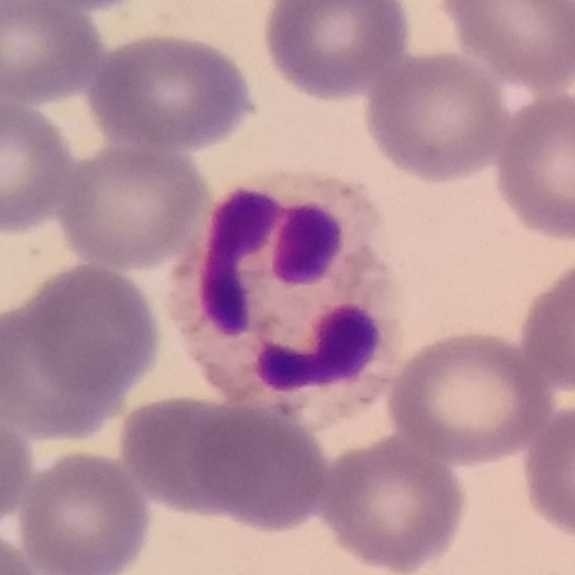Peripheral blood smear.

Identified as a neutrophil.